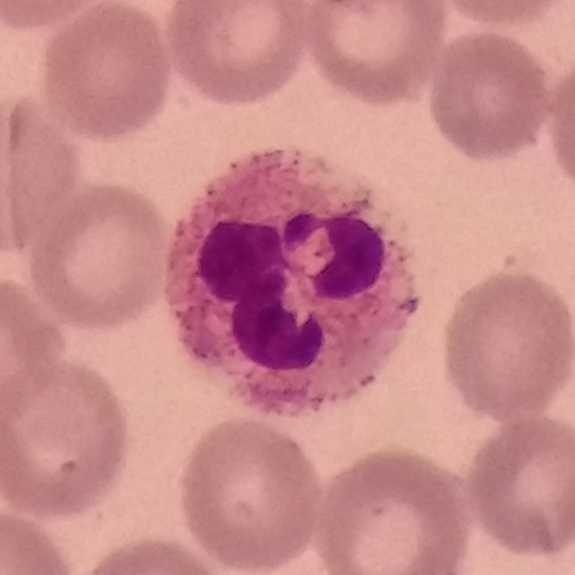Impression → neutrophil.